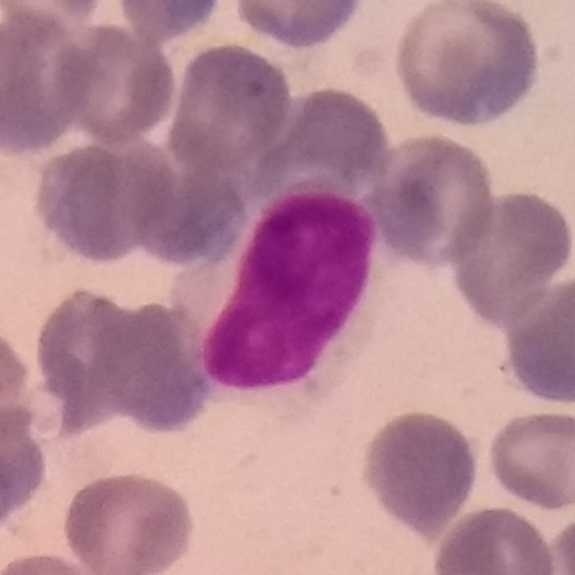Image: Giemsa-stained. Peripheral blood smear. Impression → lymphocyte.